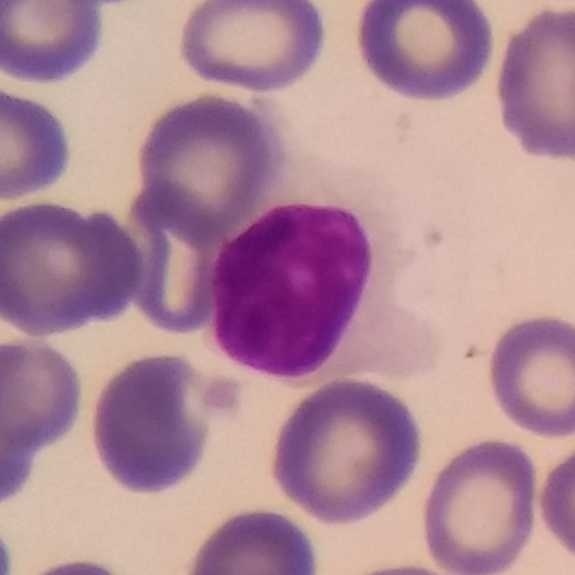Image: Peripheral blood smear; 100× magnification; image size 575×575.

Classification — lymphocyte.